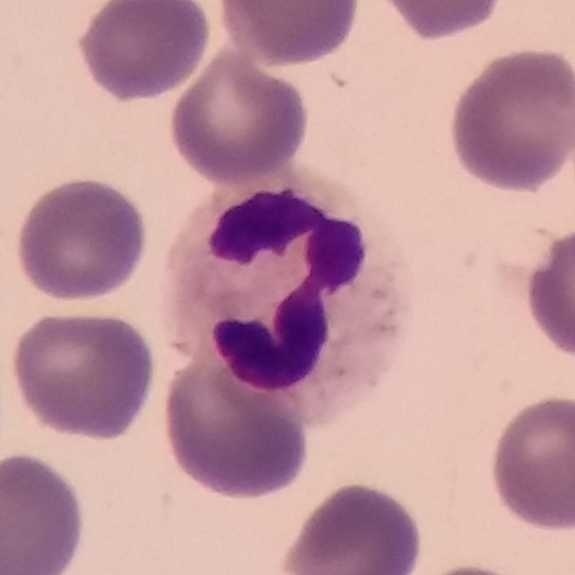
White blood cell type — neutrophil granulocyte.